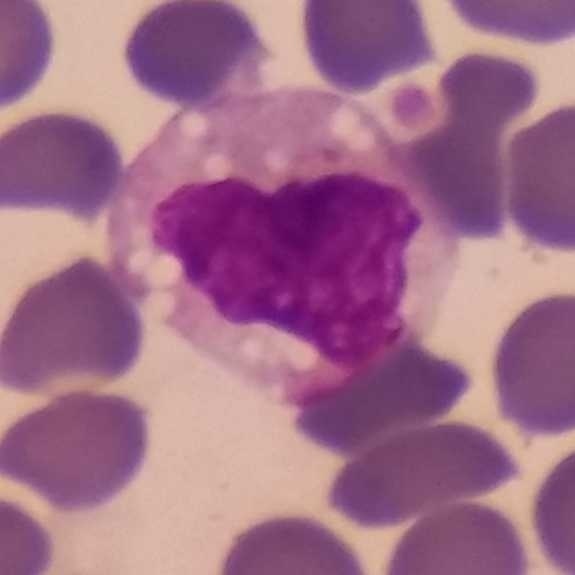
Acquisition: Peripheral blood film.
A monocyte.